Peripheral blood film: 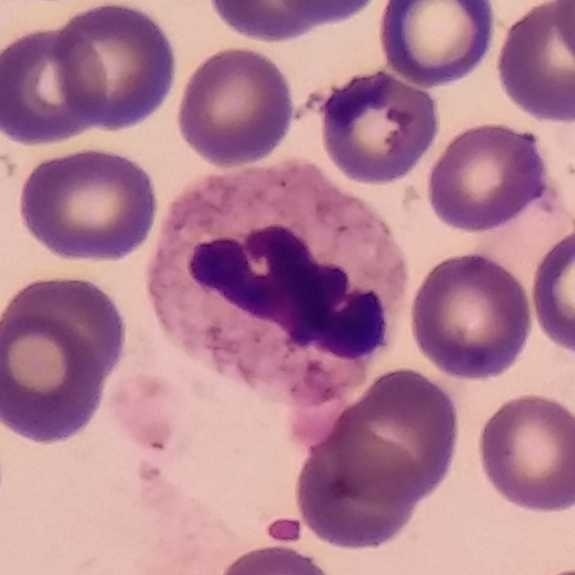 Identified as a neutrophilic granulocyte.